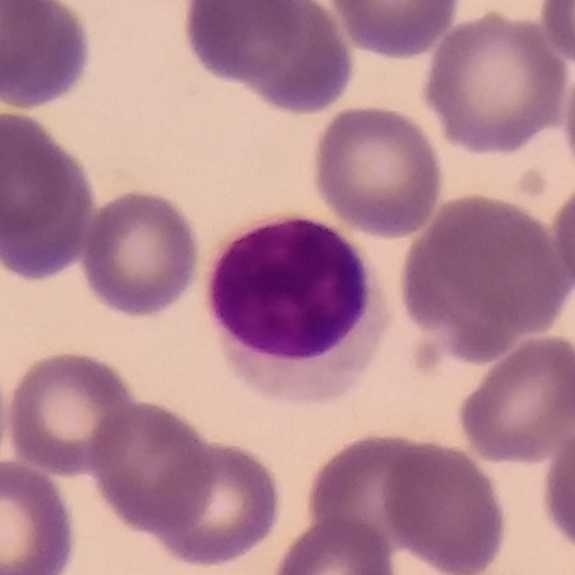Specimen: peripheral blood smear.
Cell type: lymphocyte.
Lineage: lymphoid.